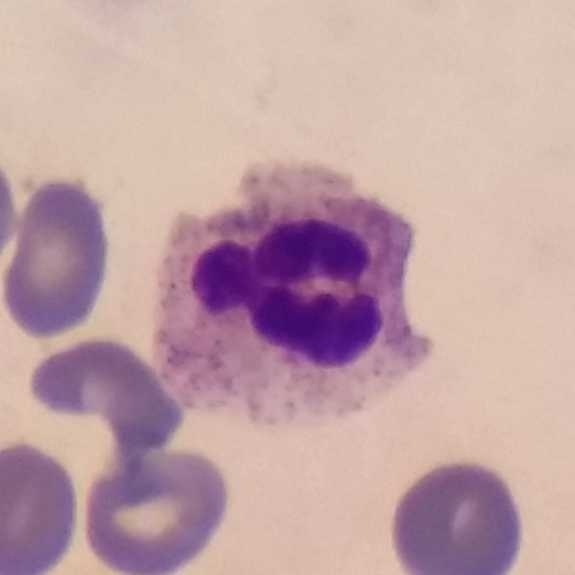
Cell — neutrophilic granulocyte.
Peripheral blood smear.